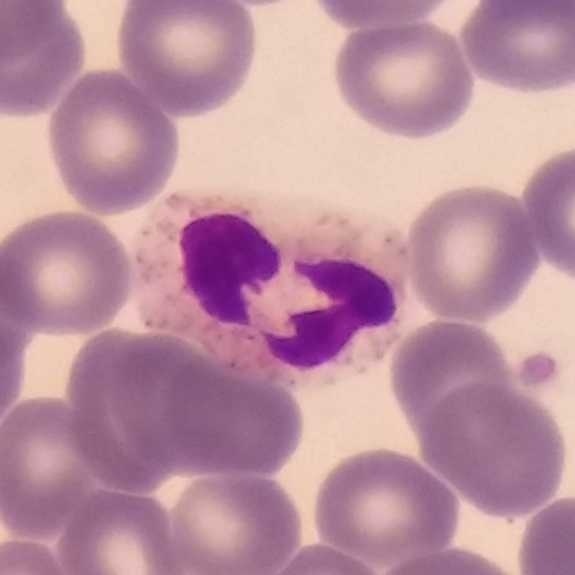

The cell is neutrophilic granulocyte.